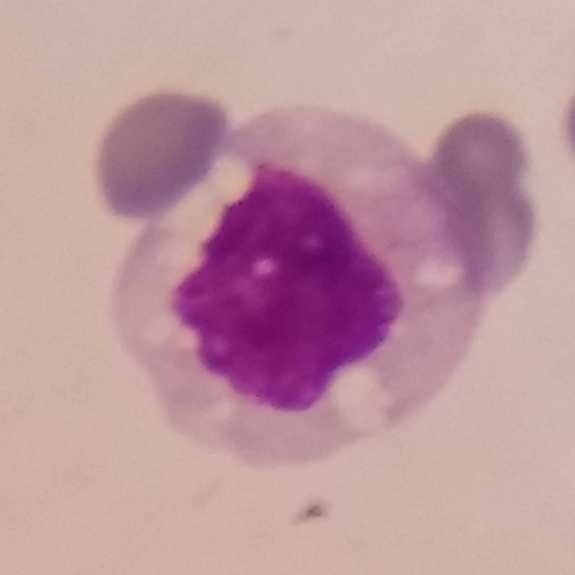
100× magnification; peripheral blood film.

Morphology → monocyte.